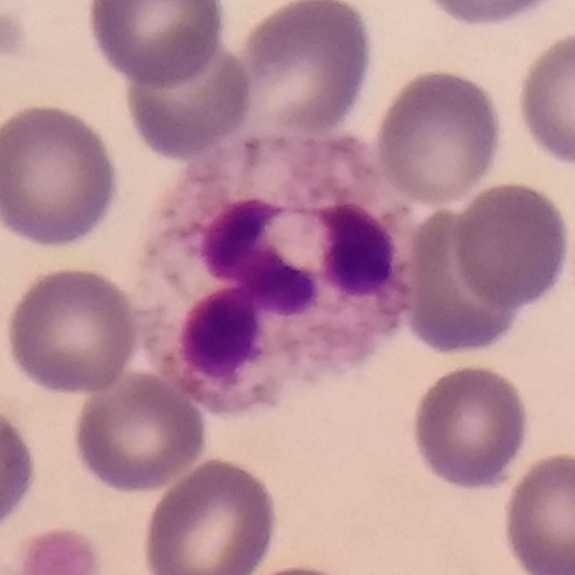Preparation: Peripheral blood film; cropped to one leukocyte.
Classification — neutrophilic granulocyte.